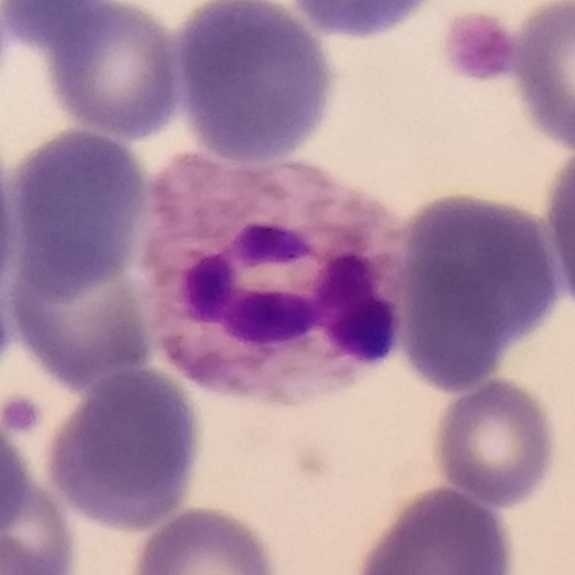

Morphology consistent with a neutrophilic granulocyte.